Peripheral blood film.
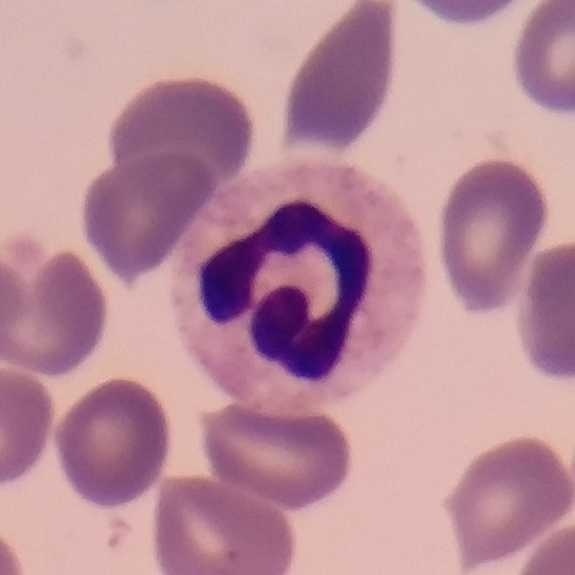Showing a neutrophil granulocyte.